Peripheral blood smear; 100× magnification; 575×575: 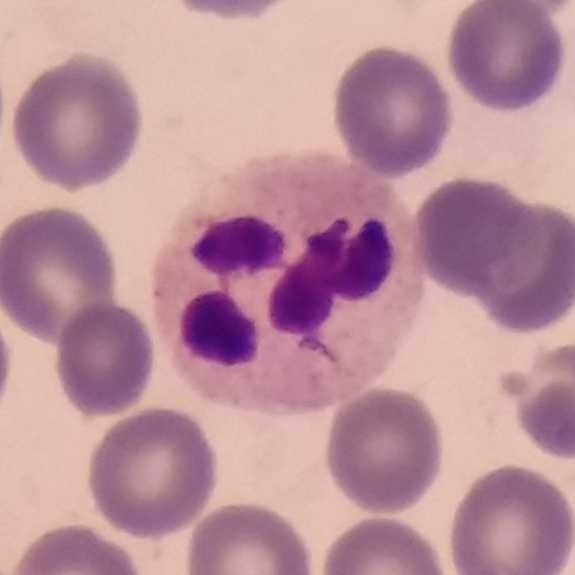
Q: What type of cell is this?
A: This is a neutrophil.